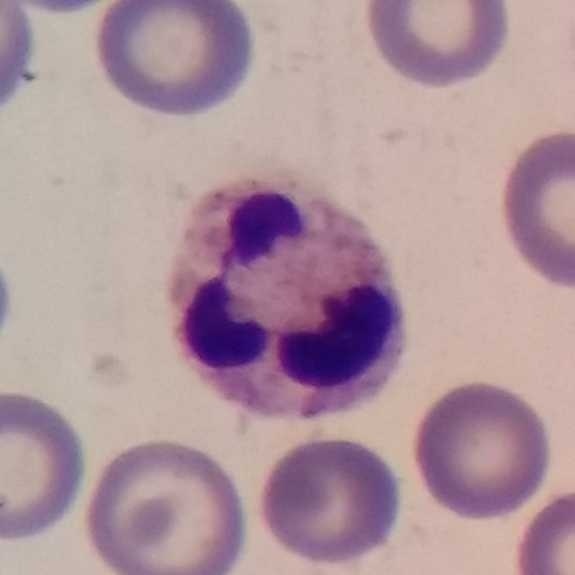
Acquisition: Peripheral blood film · 575×575.
Classification = neutrophilic granulocyte.